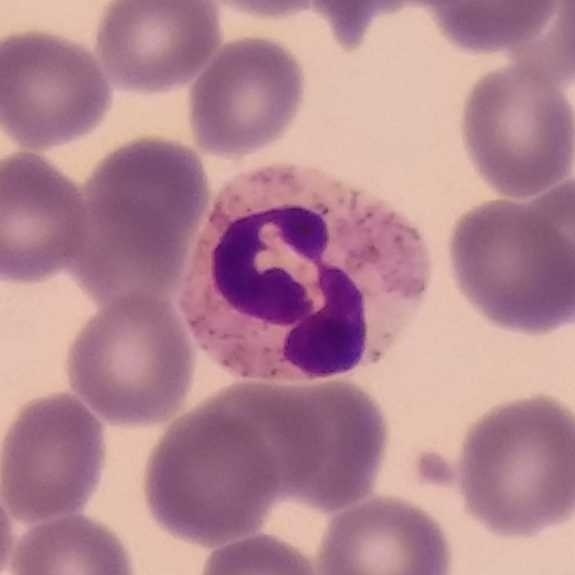
Single-cell field · Giemsa-stained · peripheral blood smear.
Q: What type of cell is this?
A: This is a neutrophilic granulocyte.